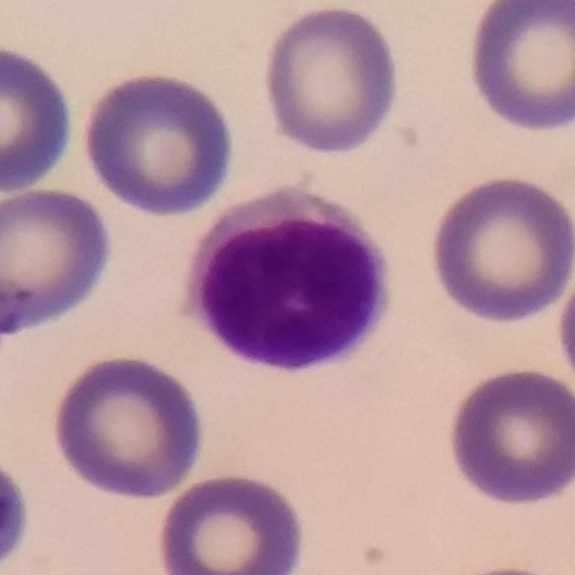Morphology → lymphocyte.

Acquisition: Peripheral blood smear.